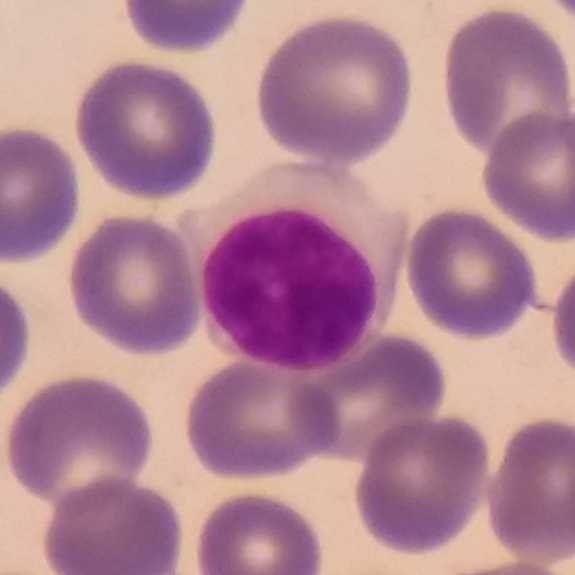 {"cell_type": "lymphocyte"}

Peripheral blood film.